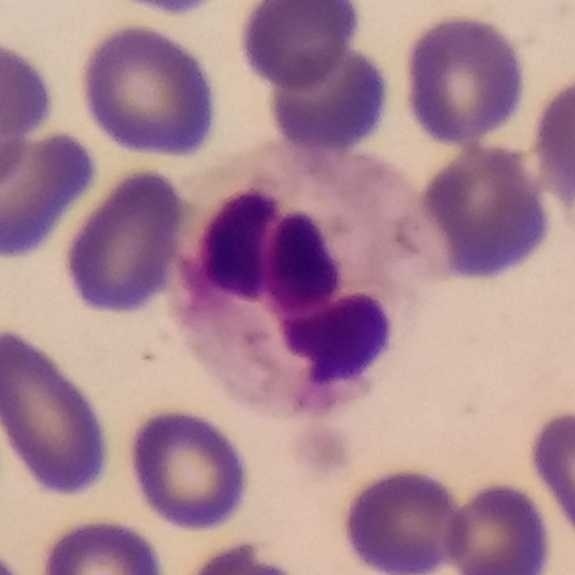
Morphological class — neutrophil granulocyte. Peripheral blood film. Giemsa stain. Imaged at 100×.